Photographed through a light microscope with a smartphone camera. Peripheral blood film — 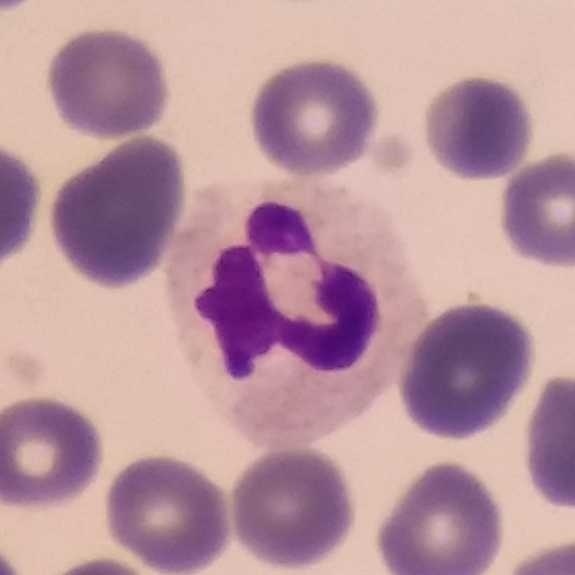

Q: What is shown here?
A: Neutrophil granulocyte.